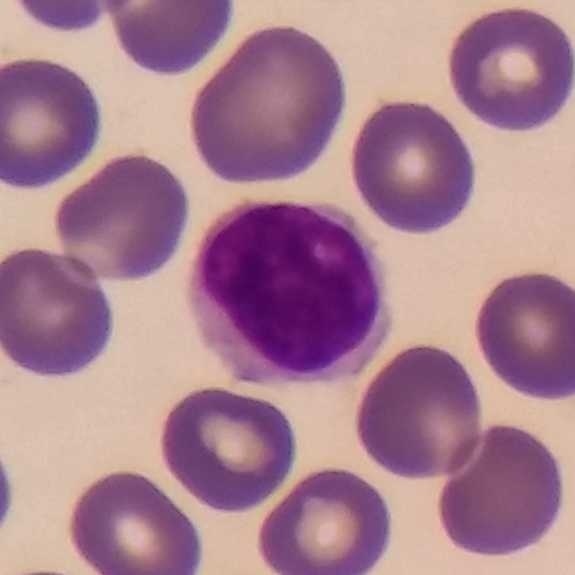
Q: What is this?
A: A lymphocyte.